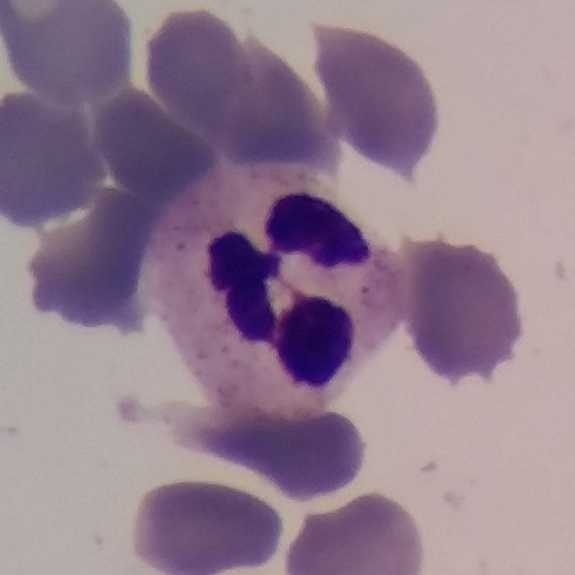

Image: 575×575 px. Specimen: peripheral blood smear.
Classification: neutrophilic granulocyte.
Lineage: myeloid.